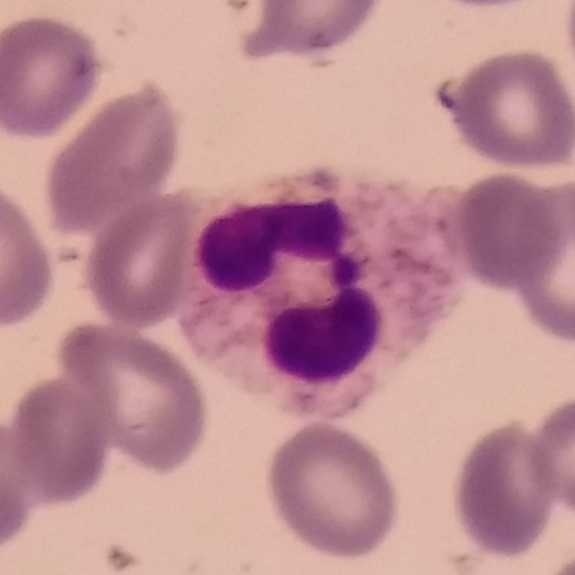A neutrophil.

Context: Peripheral blood smear.